Peripheral blood film; Giemsa-stained:
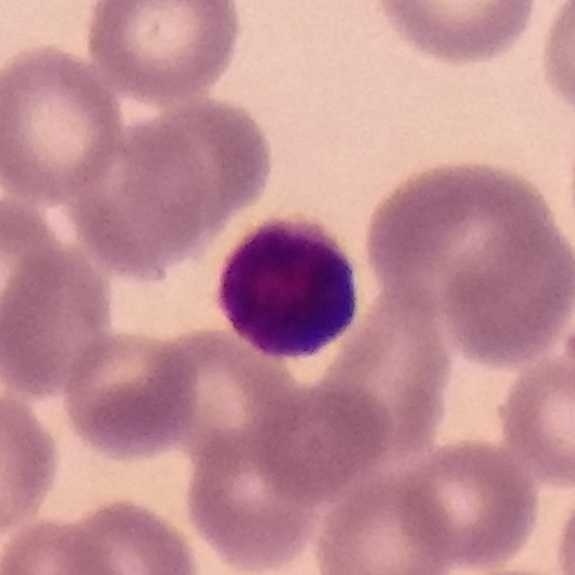 The white blood cell in this image is a lymphocyte.